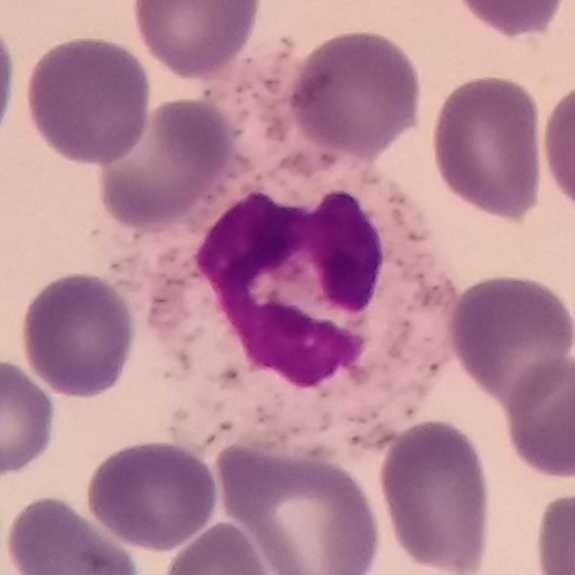 Preparation: 100× magnification; peripheral blood film.
Showing a neutrophilic granulocyte.